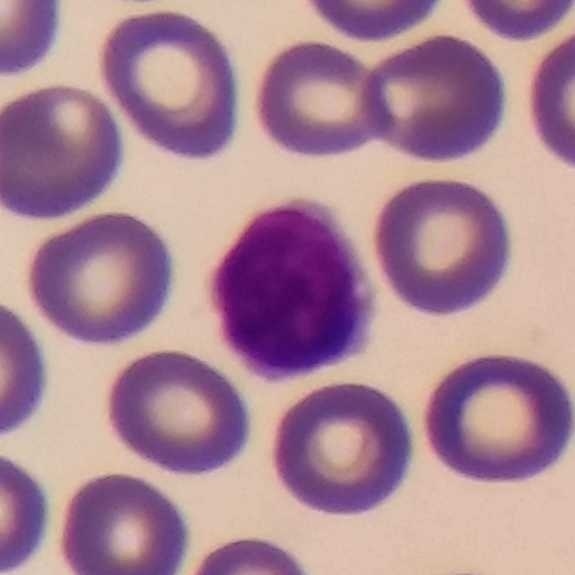Acquisition: Peripheral blood smear.
Q: What type of cell is this?
A: It is a lymphocyte.